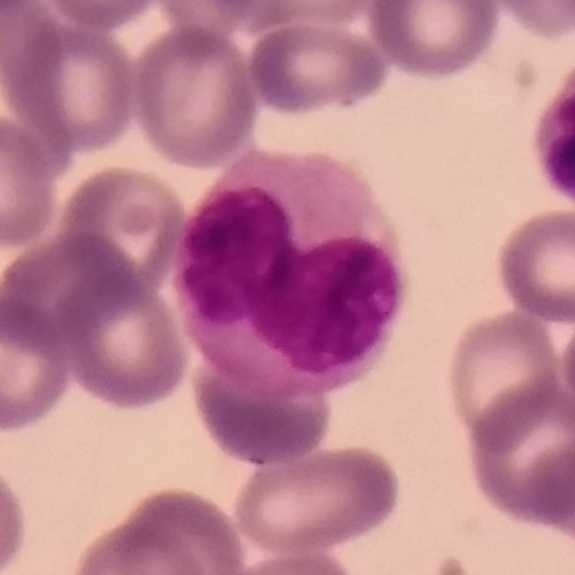Showing a monocyte.